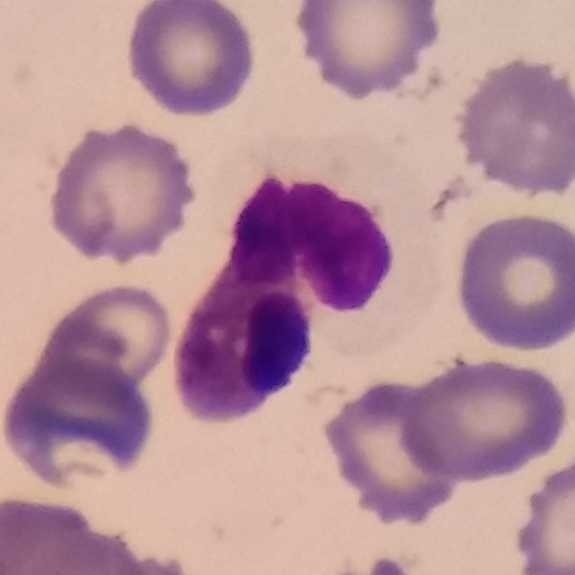Context: Peripheral blood smear.

Single cell identified as an eosinophil.